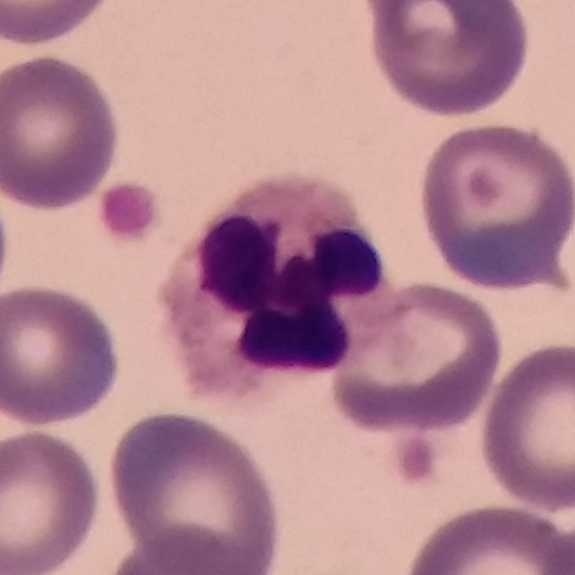
Peripheral blood film. The cell shown is a neutrophilic granulocyte.